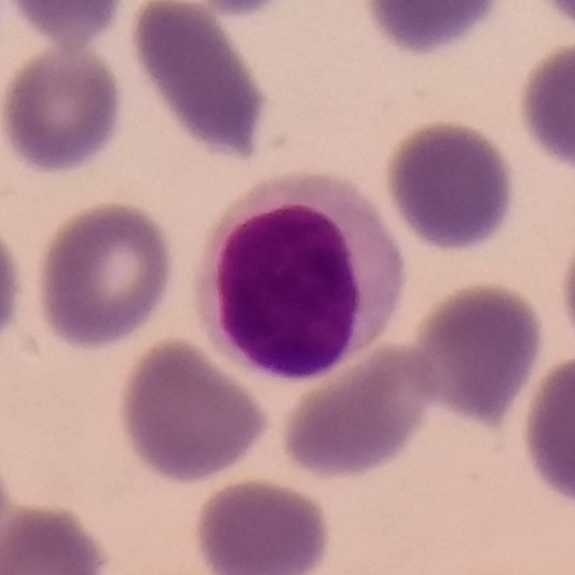
Cell type — lymphocyte.
Acquisition: Peripheral blood smear.